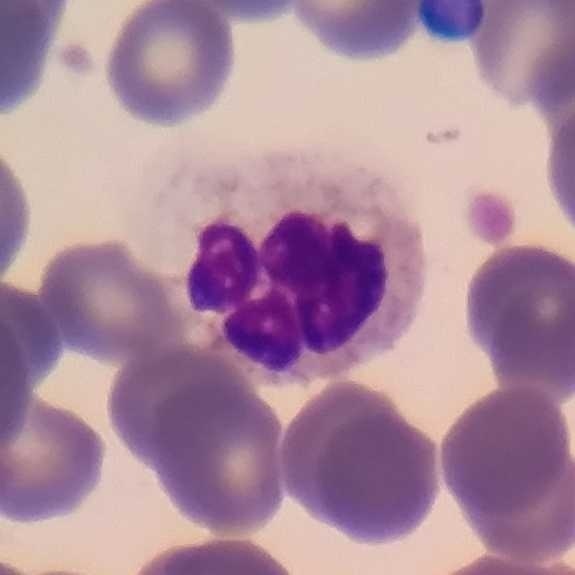

Magnification 100× · peripheral blood smear. Morphology → neutrophil.